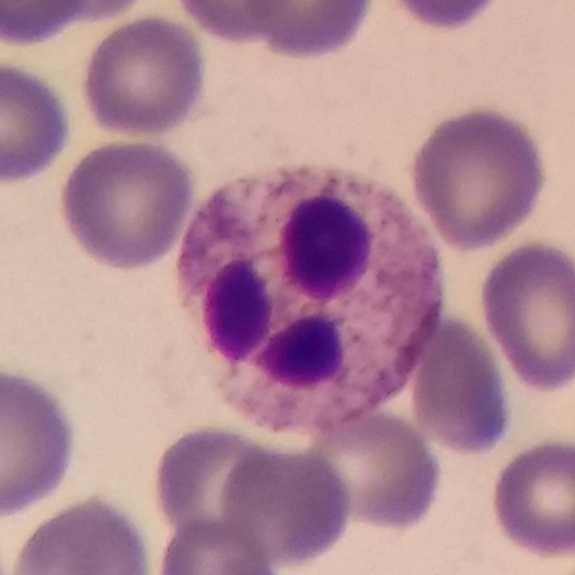Impression — neutrophil granulocyte.

Context: Cropped to one leukocyte. Magnification 100×. Peripheral blood film.